Photographed through a light microscope with a smartphone camera. Peripheral blood smear.
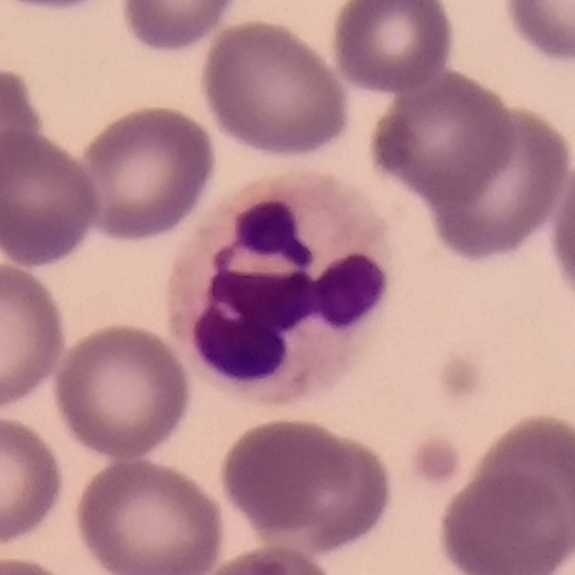The morphological class is neutrophilic granulocyte.